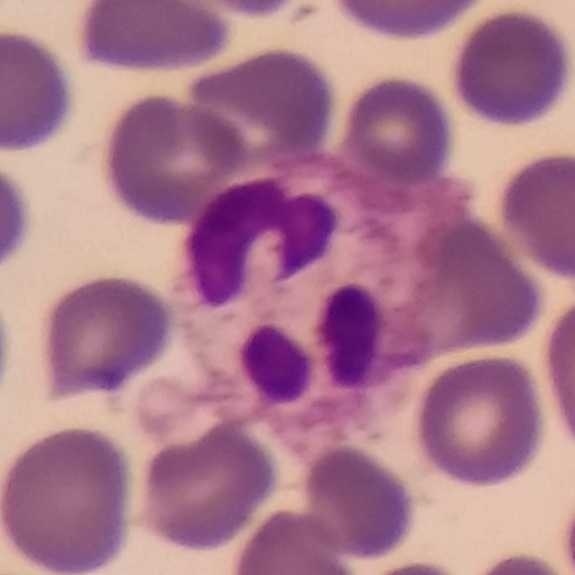

Q: Which type of white blood cell is this?
A: It is a neutrophilic granulocyte. Imaged at 100×; peripheral blood smear; image size 575×575.